Peripheral blood film. Photographed through a light microscope with a smartphone camera
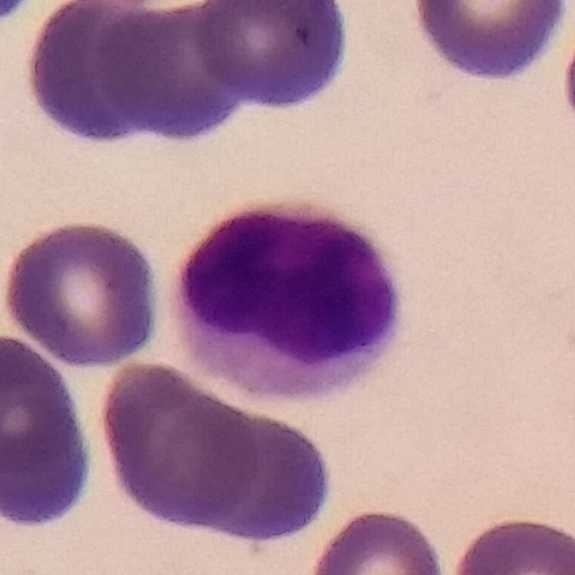
Single cell identified as a lymphocyte.